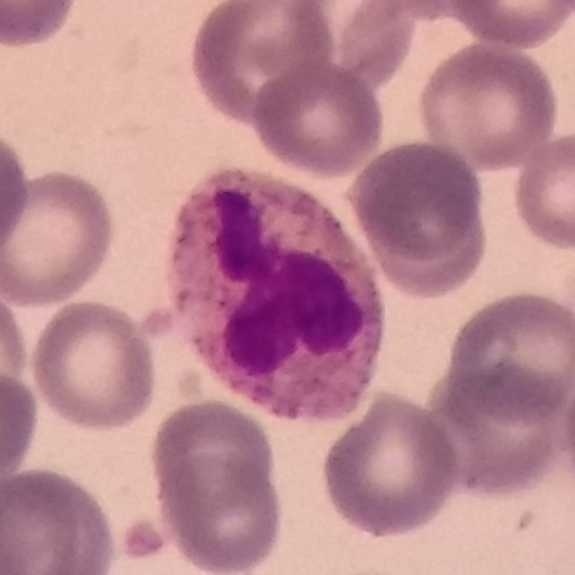 Q: What cell is this?
A: This is a neutrophilic granulocyte.

Acquisition: Peripheral blood smear · 100× magnification.